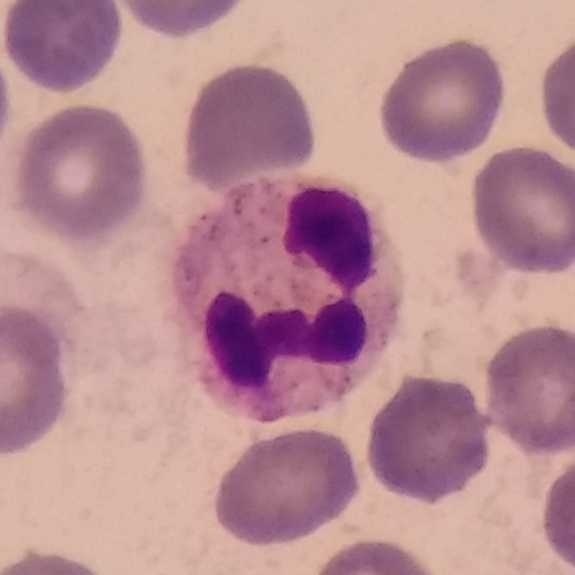 Peripheral blood smear.

The classification is neutrophil granulocyte.